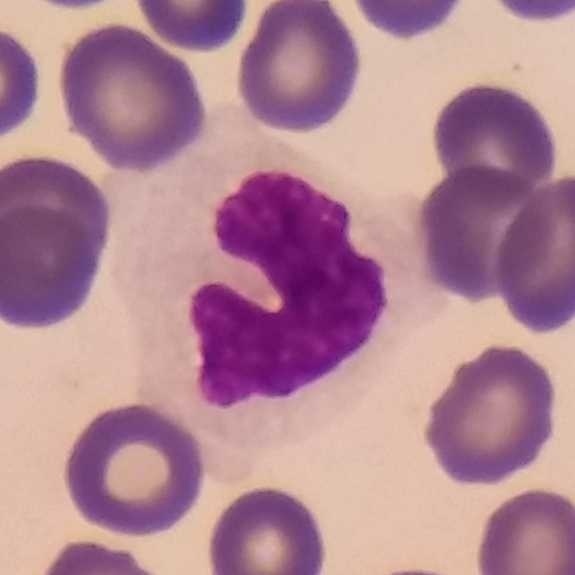
Q: Identify the cell.
A: It is a monocyte.